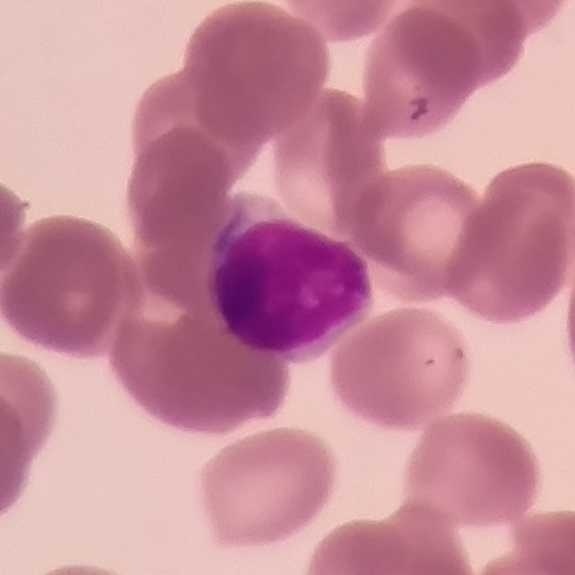
Peripheral blood film. Classification: lymphocyte.